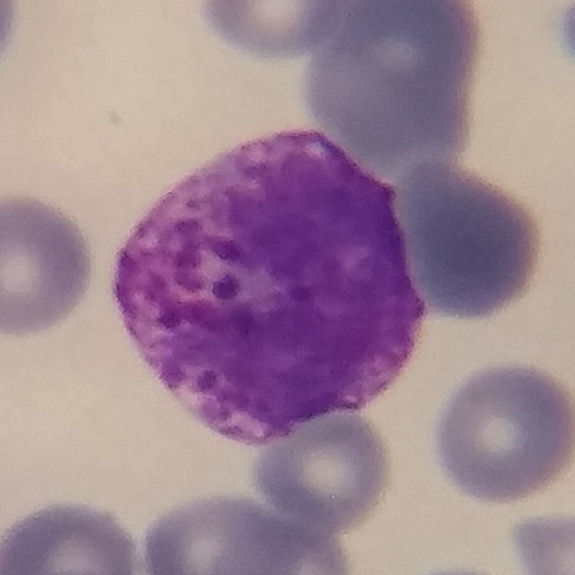

Q: Which type of white blood cell is this?
A: A basophilic granulocyte.
Image: Imaged at 100×. Peripheral blood film. Single white blood cell cropped from the smear photograph.